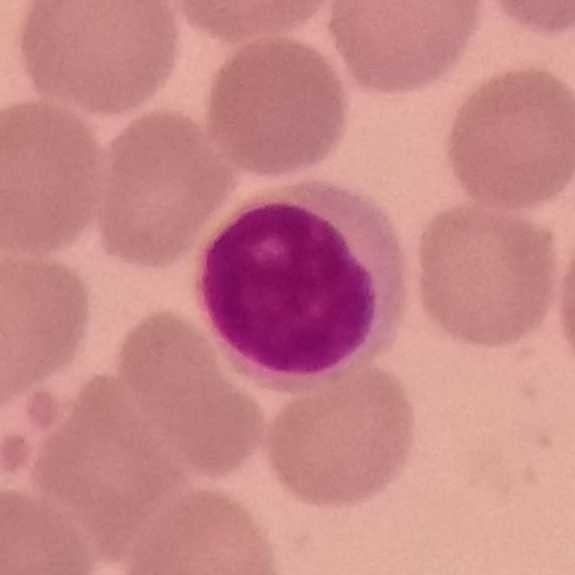 {"cell_type": "lymphocyte", "lineage": "lymphoid"}
Image: Peripheral blood film.